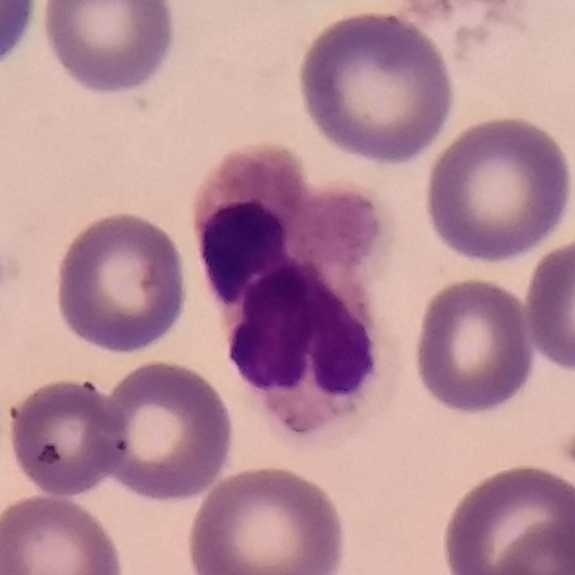

Context: Peripheral blood smear.
Morphology — neutrophil granulocyte.